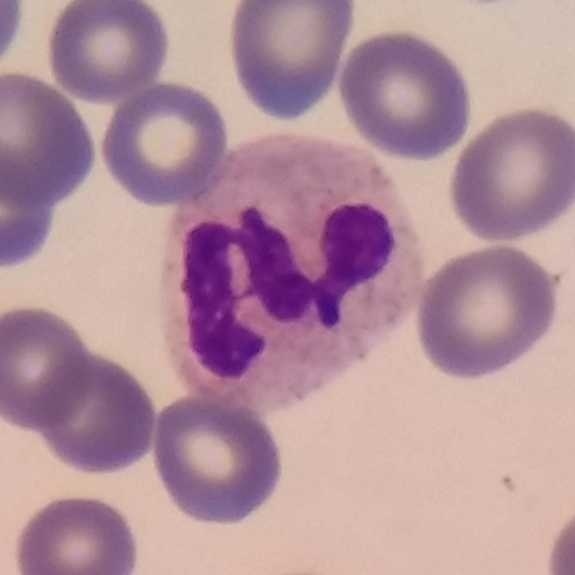Peripheral blood smear.
Impression — neutrophil.